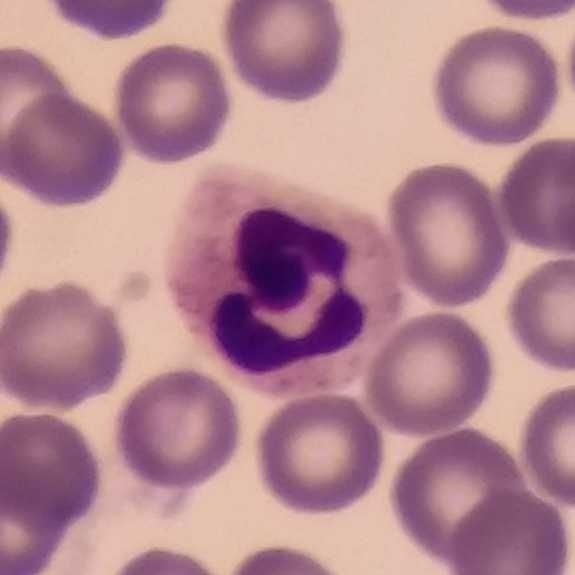
Preparation: Giemsa stain. Peripheral blood smear.
Q: What cell is this?
A: It is a neutrophilic granulocyte.